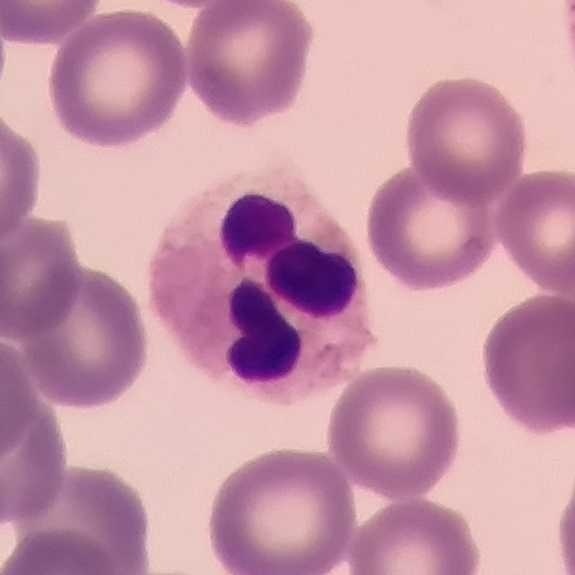

Specimen: peripheral blood film.
White blood cell type: neutrophilic granulocyte.
Lineage: myeloid.